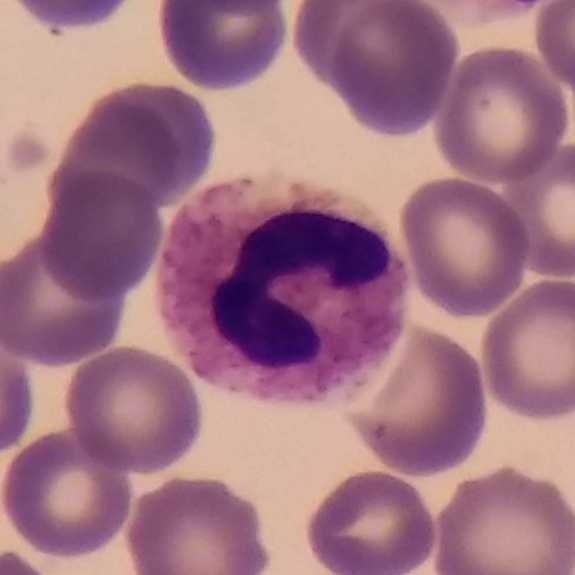

Acquisition: Peripheral blood film.
The morphological class is neutrophil granulocyte.